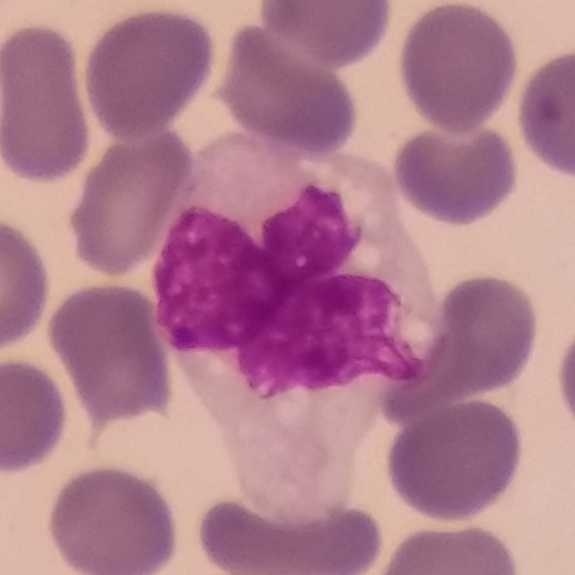 {"cell_type": "monocyte", "lineage": "myeloid"}

Context: Peripheral blood smear.